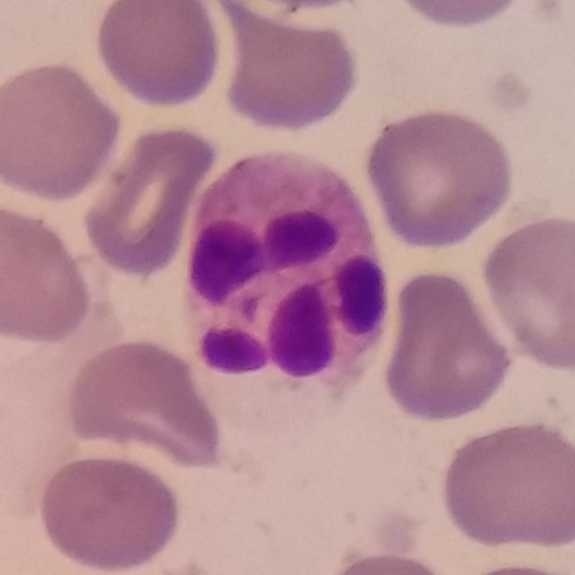 Showing a neutrophil granulocyte.